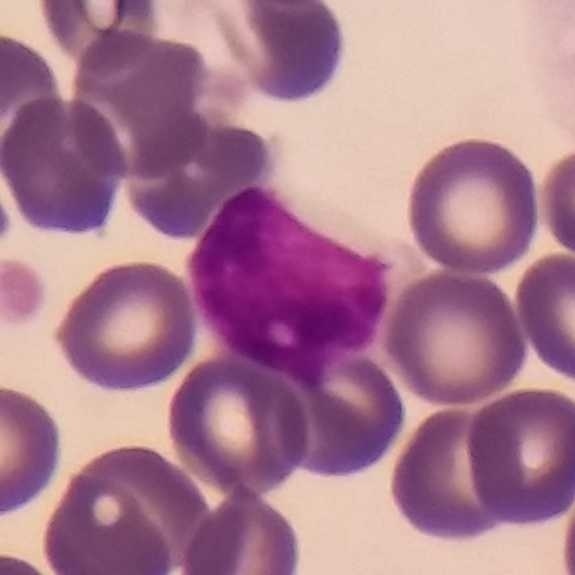Lymphocyte.